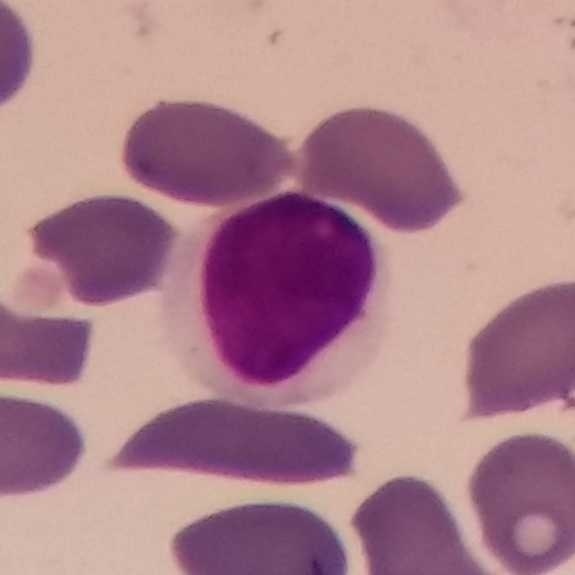 This is a lymphocyte.
Context: 100× magnification · peripheral blood film.